Peripheral blood film. 575×575 px. Single-cell crop
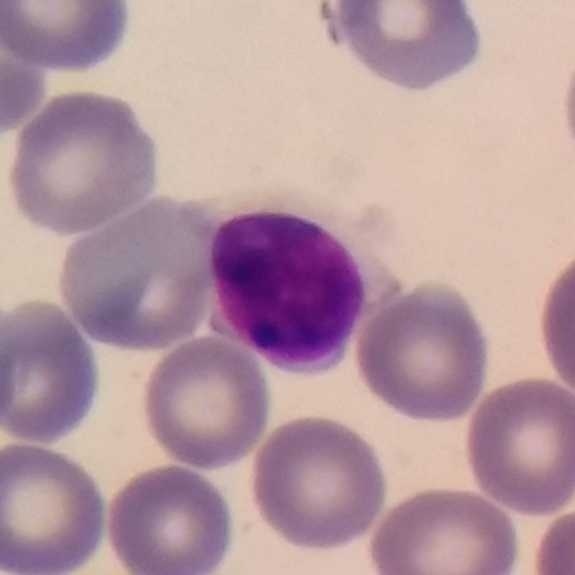

Q: What cell is this?
A: It is a lymphocyte.